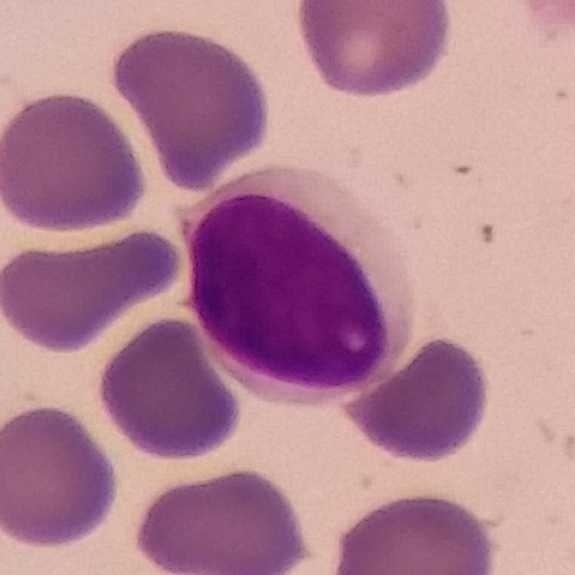

Morphology — lymphocyte. Peripheral blood smear.